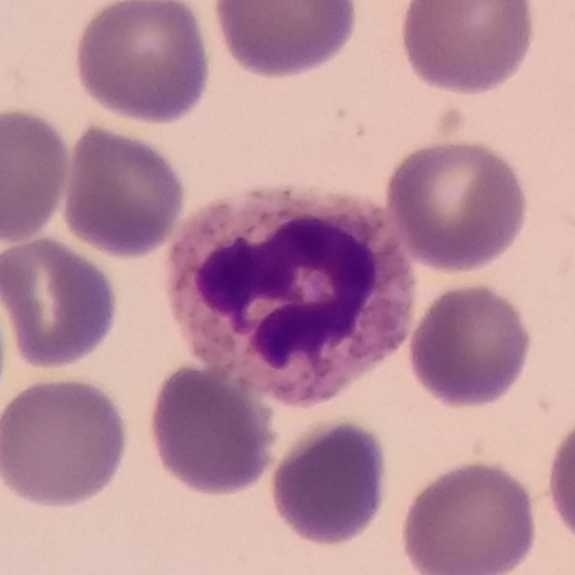Q: What type of cell is this?
A: This is a neutrophilic granulocyte.
Acquisition: Peripheral blood smear · smartphone camera mounted on the microscope eyepiece.